Peripheral blood smear
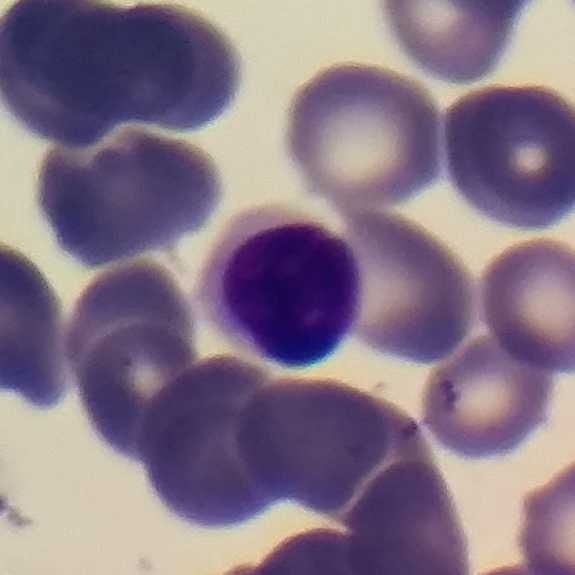

Cell = lymphocyte.